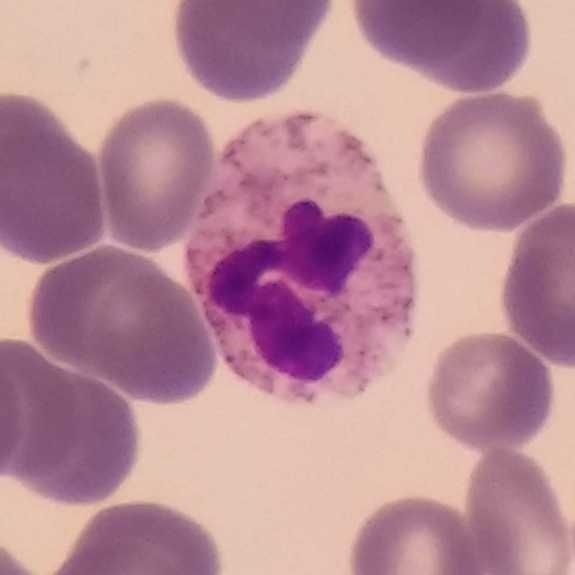
This is a neutrophilic granulocyte. Peripheral blood smear; magnification 100×.